Peripheral blood film — 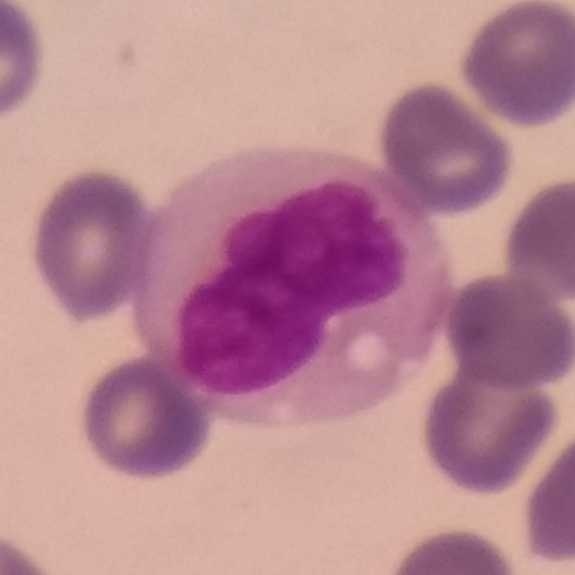 White blood cell type: monocyte.